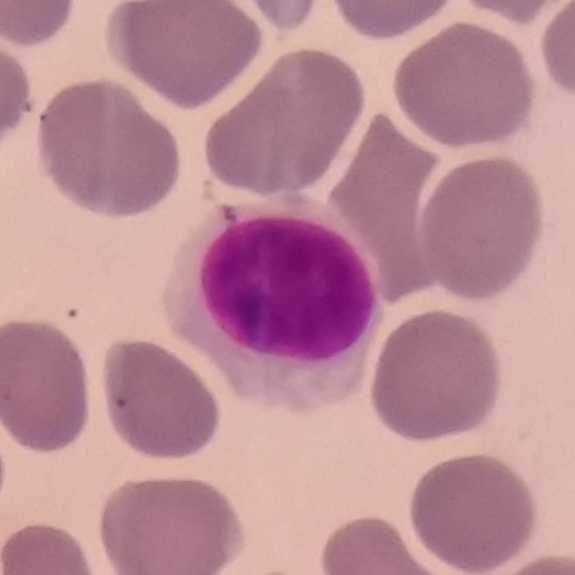Q: Classify this leukocyte.
A: Lymphocyte. Preparation: Peripheral blood film.